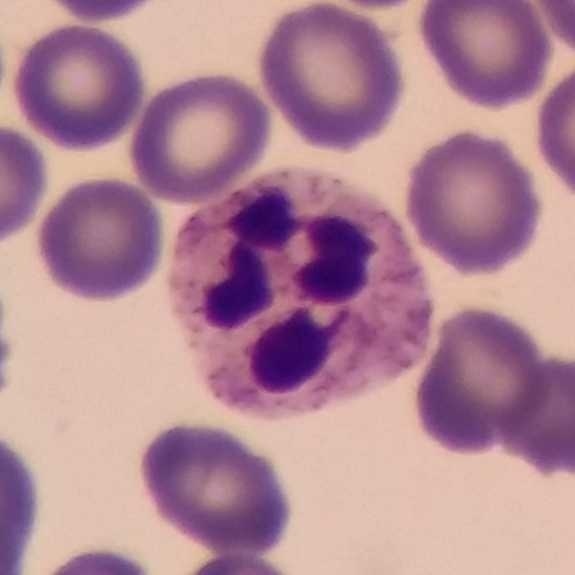 Specimen: peripheral blood film.
White blood cell type: neutrophil granulocyte.
Lineage: myeloid.